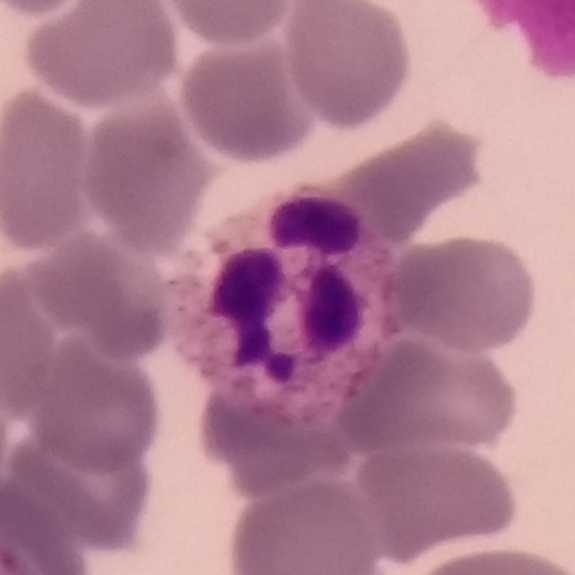 Peripheral blood film.
Morphological class = neutrophil.